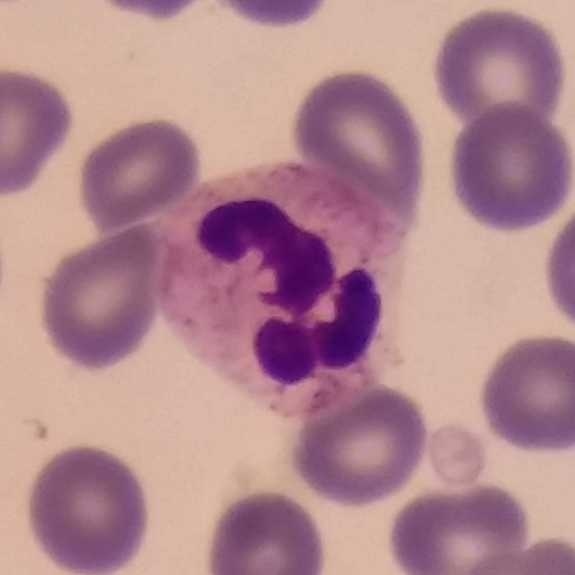Cell type: neutrophil granulocyte.